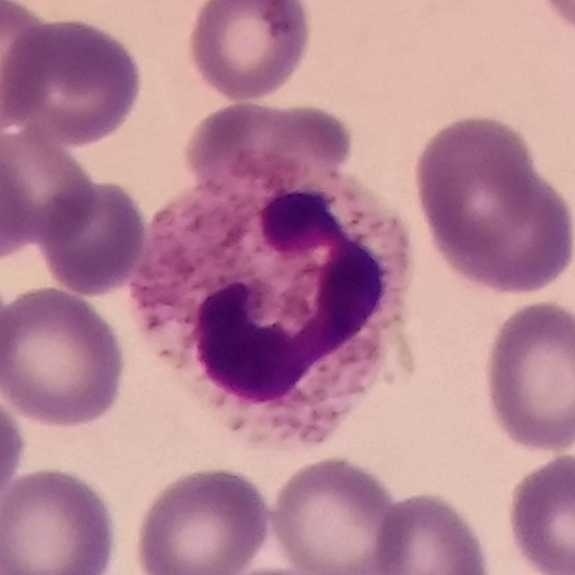
Q: Which type of white blood cell is this?
A: This is a neutrophil.

Image: 575 by 575 pixels. Peripheral blood film.